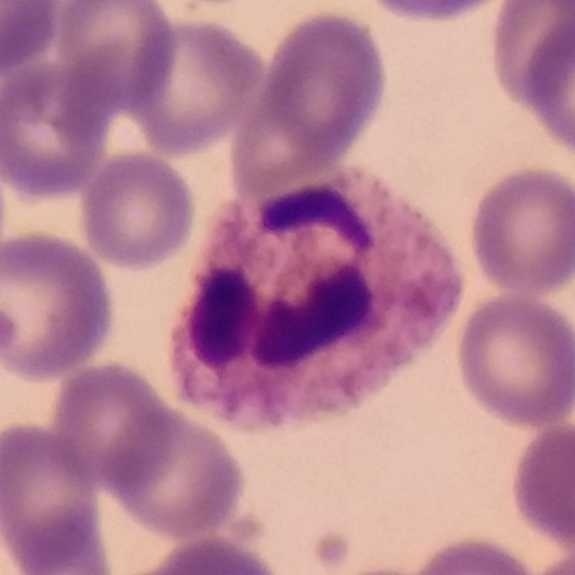 Q: Identify the cell.
A: A neutrophil.